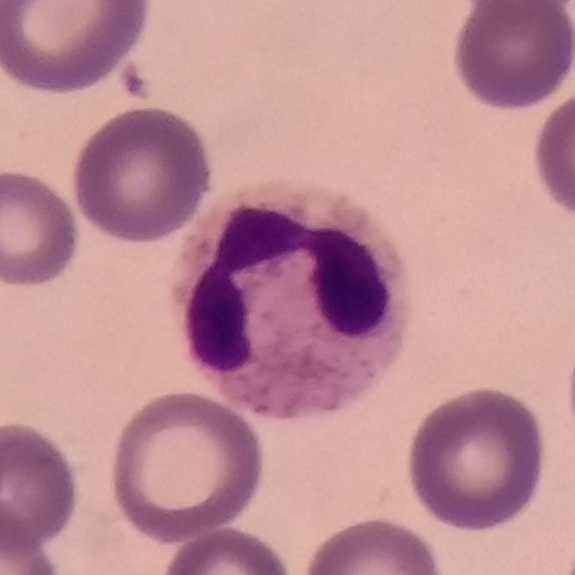Morphology — neutrophilic granulocyte.